Image size 575×575. Peripheral blood smear — 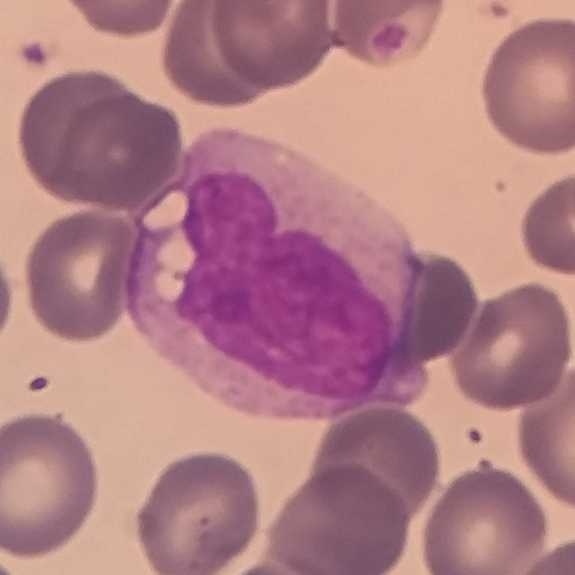

The cell shown is a monocyte.